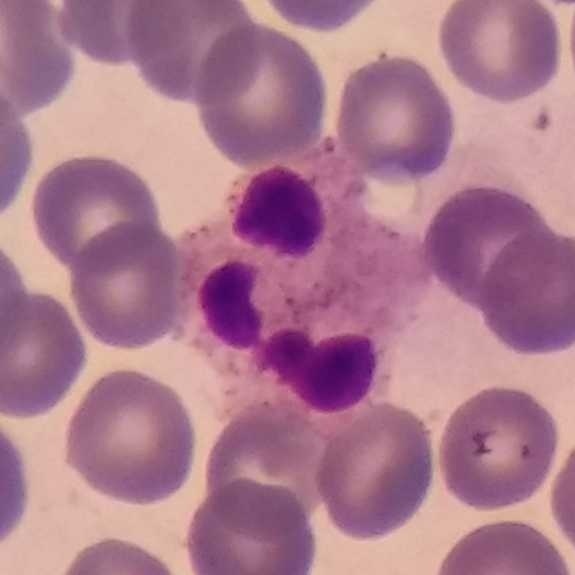
Image: Smartphone photomicrograph · peripheral blood film.
Impression → neutrophil granulocyte.